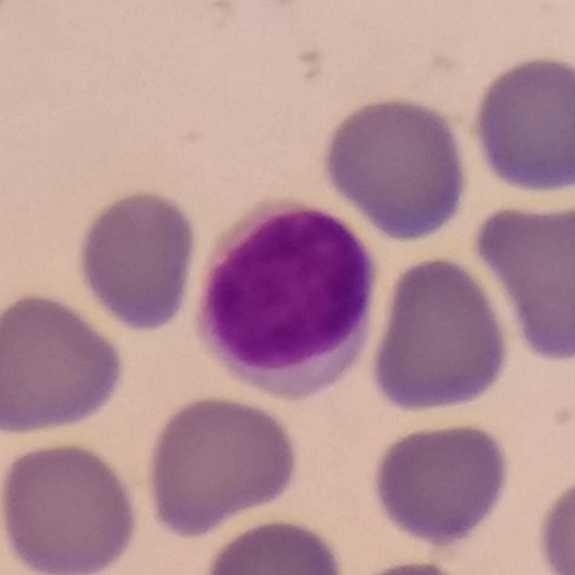
Morphology — lymphocyte.
Image: Peripheral blood film.